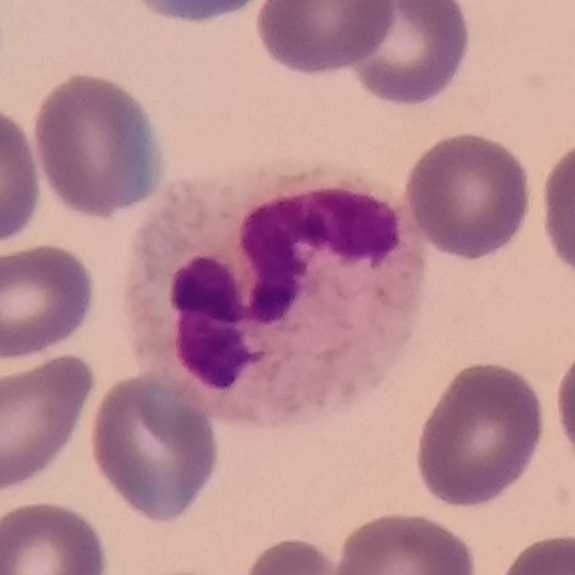Neutrophilic granulocyte.